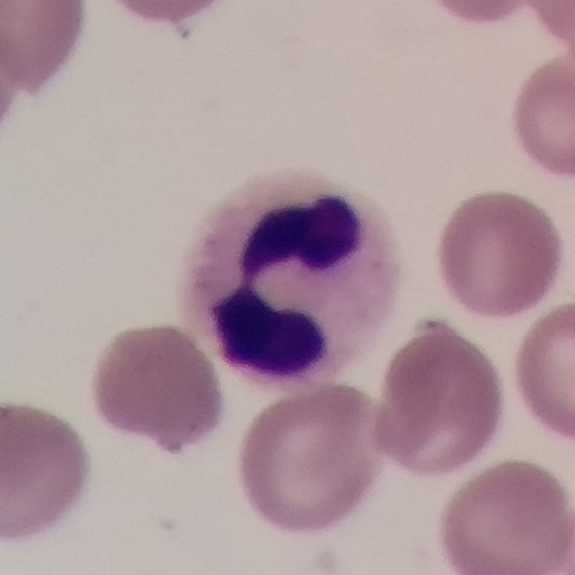Specimen: peripheral blood film.
Cell type: neutrophil granulocyte.